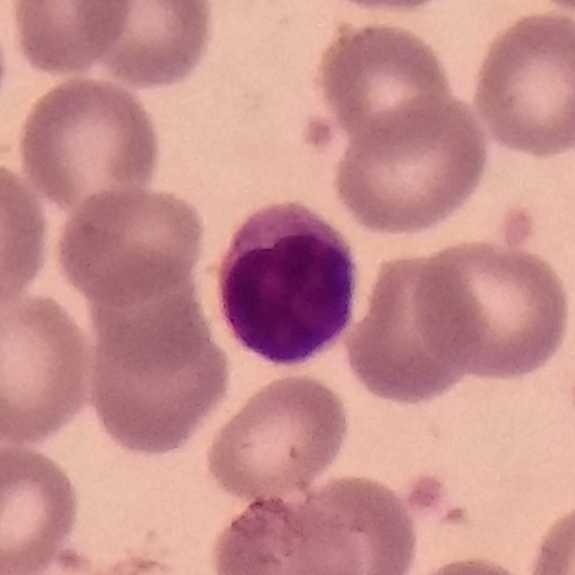
Morphological class — lymphocyte.

Preparation: Peripheral blood film; smartphone photomicrograph.